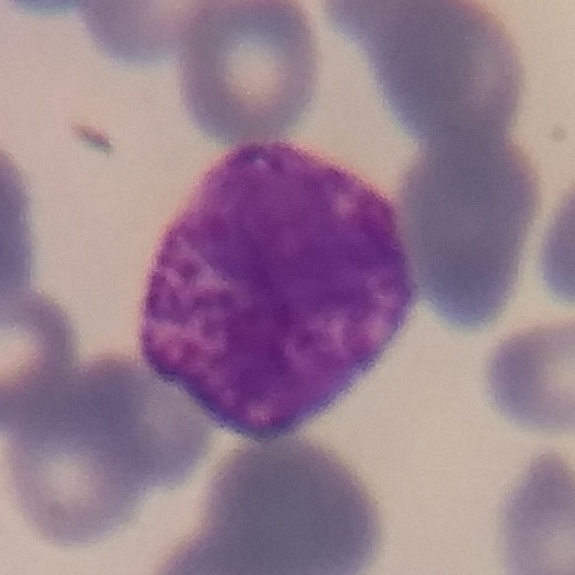
Q: What type of cell is this?
A: A basophilic granulocyte.